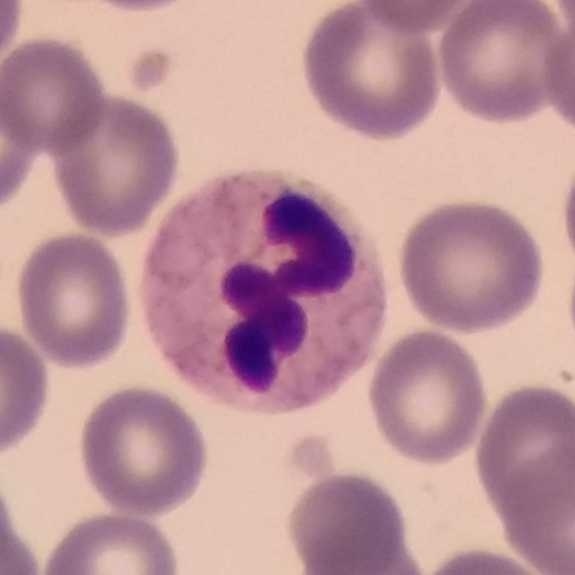The cell type is neutrophil granulocyte. Acquisition: Peripheral blood smear; smartphone camera mounted on the microscope eyepiece.